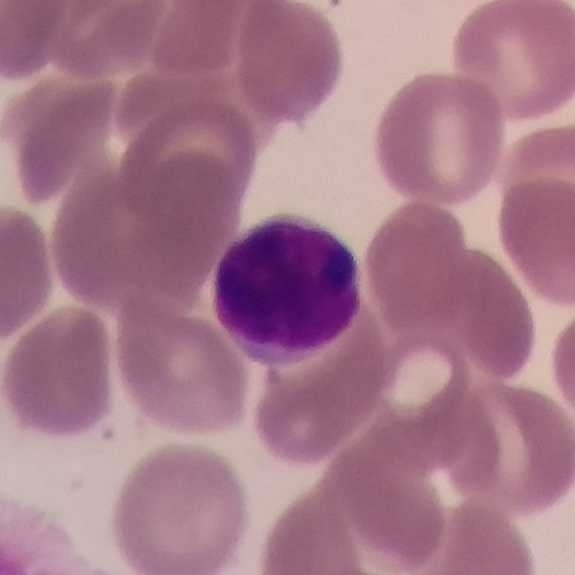
Specimen: peripheral blood smear.
Classification: lymphocyte.